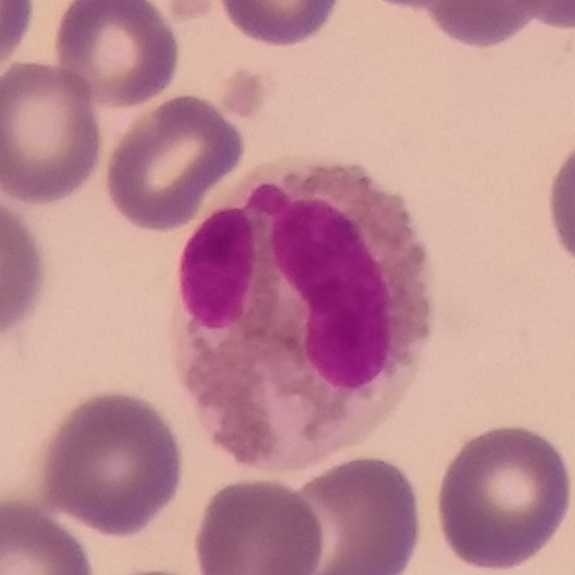
Acquisition: Peripheral blood smear.

Morphological class = eosinophil.